Peripheral blood smear.
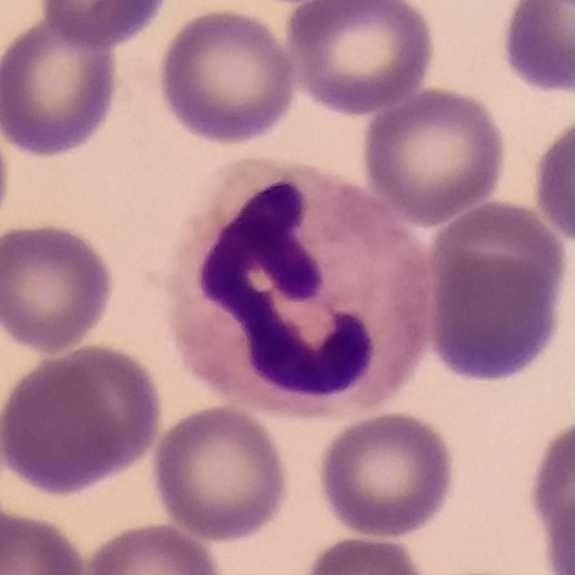

Morphological class = neutrophil granulocyte.